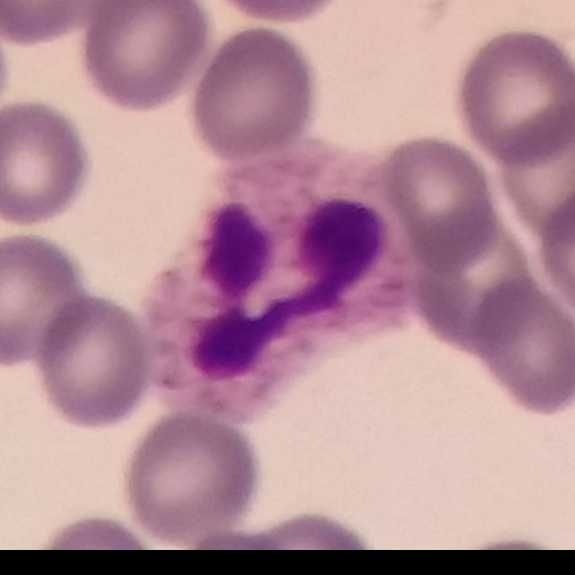 Peripheral blood film.
Impression → neutrophil.